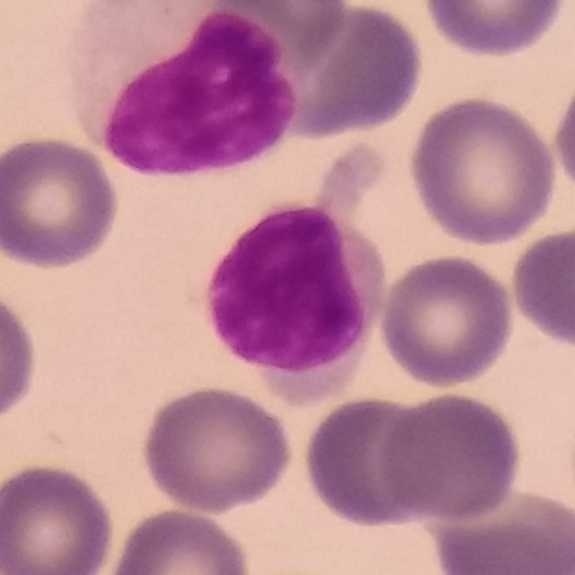
Morphological class — lymphocyte.